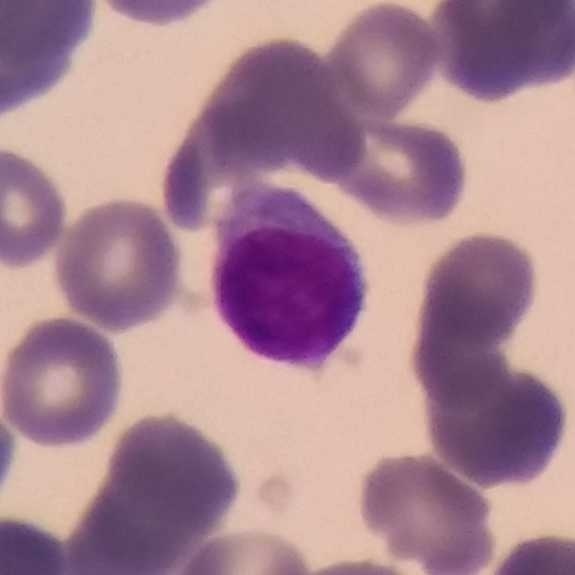

Identified as a lymphocyte.